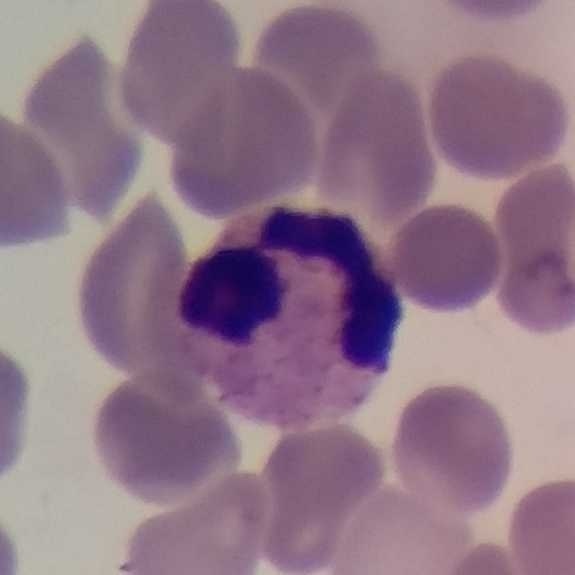

Specimen: peripheral blood smear.
Cell type: neutrophil granulocyte.
Lineage: myeloid.